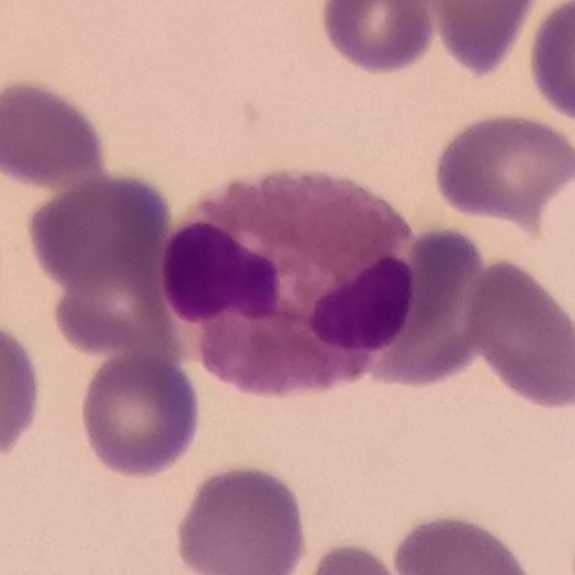

Q: What cell is this?
A: An eosinophil.

Single white blood cell cropped from the smear photograph. Peripheral blood smear. 575 by 575 pixels.